Peripheral blood film
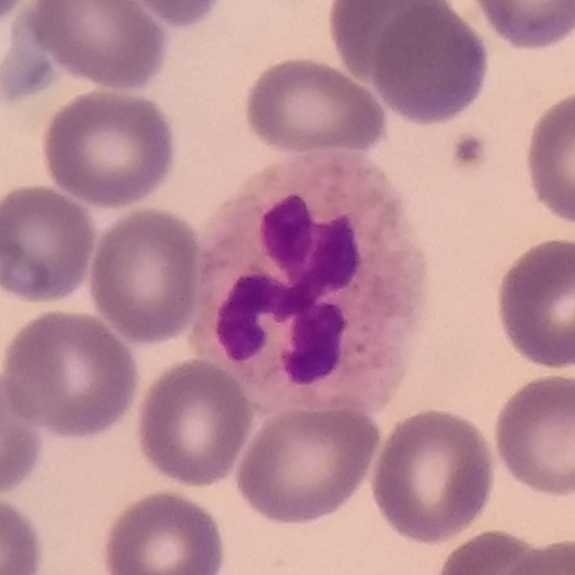Identified as a neutrophilic granulocyte.